Peripheral blood smear · single-cell field:
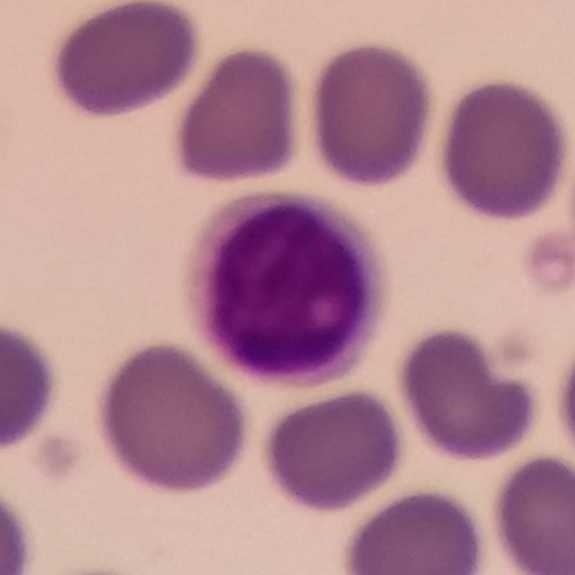Q: Classify this leukocyte.
A: A lymphocyte.